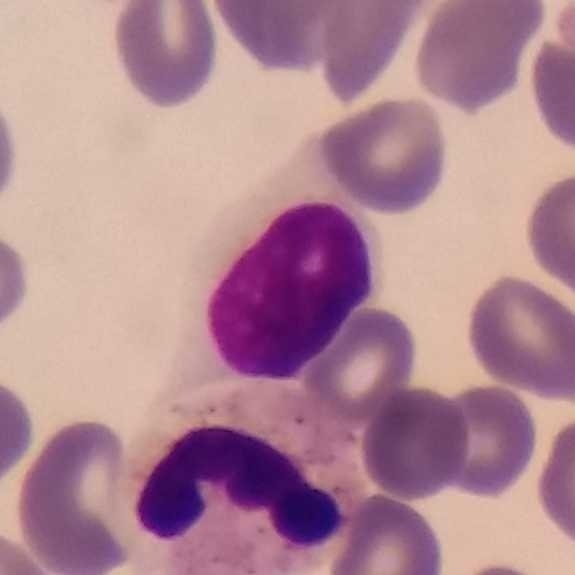Cell: lymphocyte.

Peripheral blood smear.